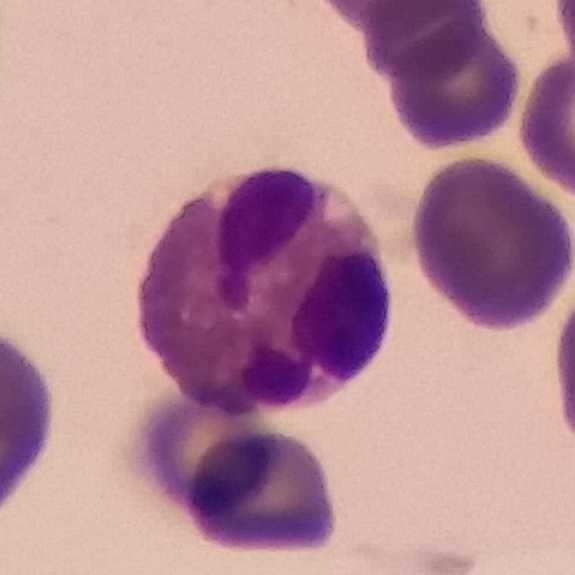
The classification is eosinophilic granulocyte. Peripheral blood smear.